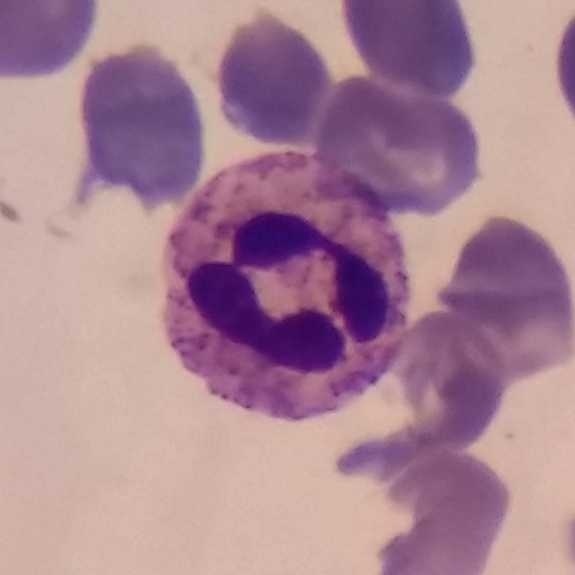
White blood cell type — neutrophilic granulocyte.
Peripheral blood smear.